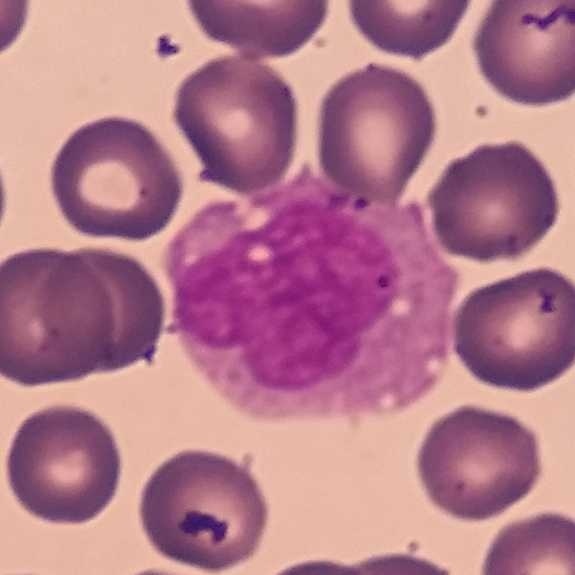

Peripheral blood film.
Morphology consistent with a monocyte.